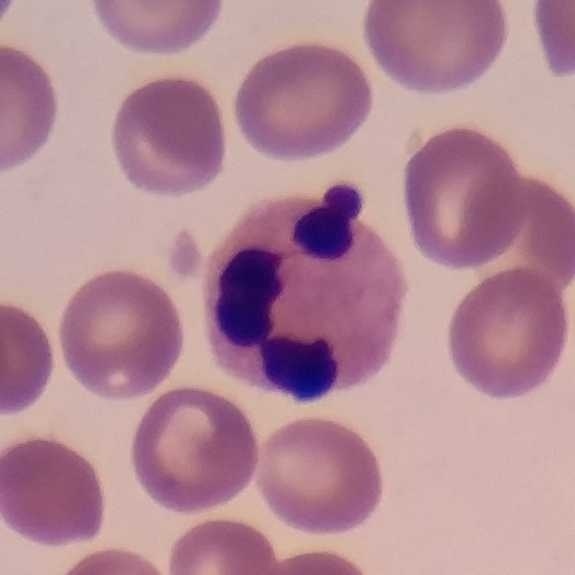
Image: Peripheral blood smear · stained with Giemsa. Q: What is shown here?
A: This is a neutrophil granulocyte.